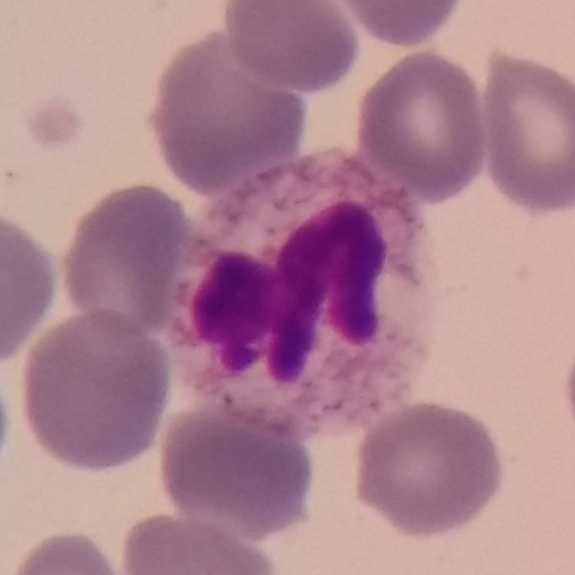 Acquisition: Peripheral blood smear. Image size 575×575.
Cell type — neutrophil.